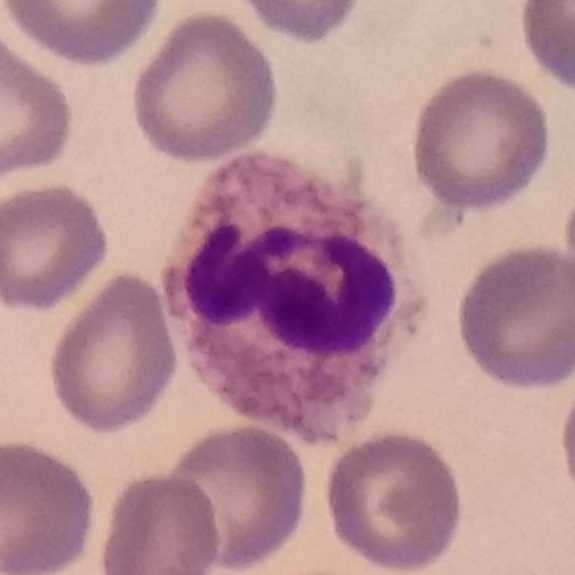Giemsa-stained. Specimen: peripheral blood film.
Classification: neutrophil granulocyte.